Peripheral blood smear.
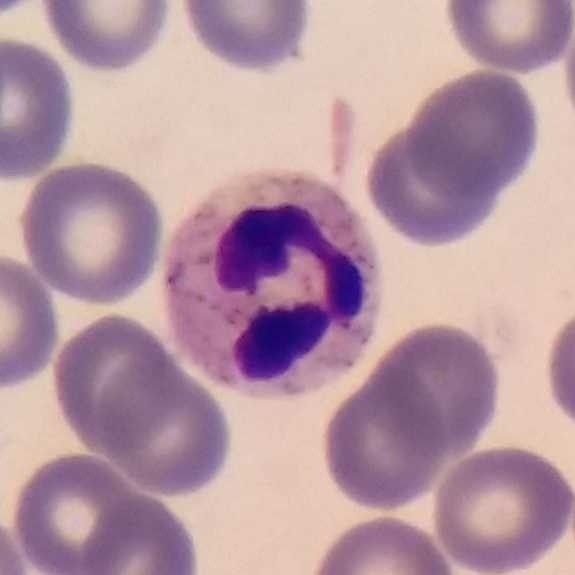
Q: What is this?
A: This is a neutrophil granulocyte.